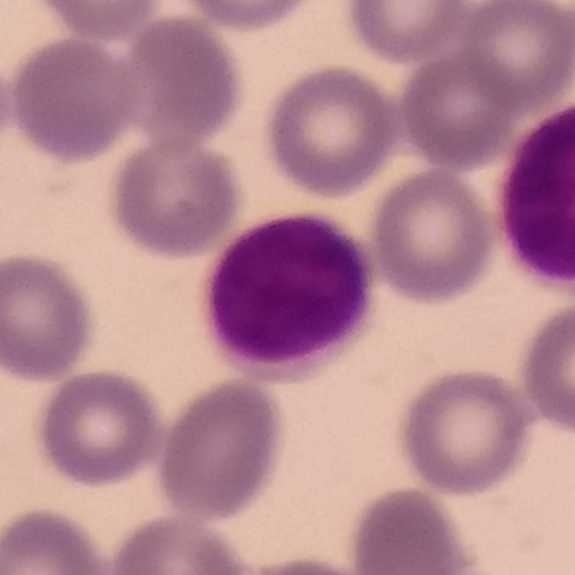

Peripheral blood smear. Classification = lymphocyte.